Single white blood cell cropped from the smear photograph · peripheral blood film — 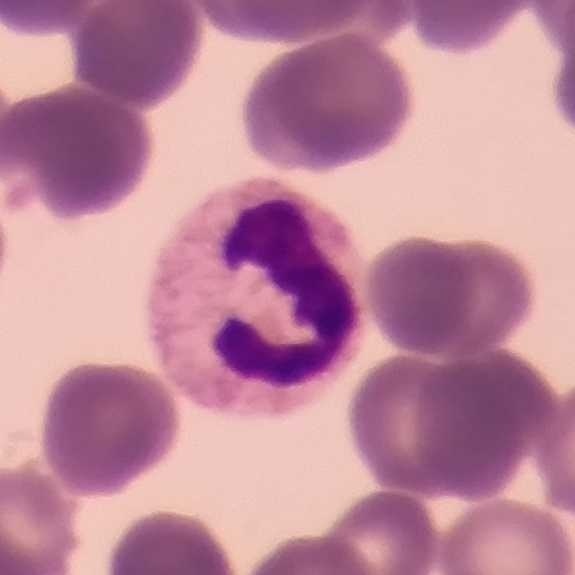

Single cell identified as a neutrophil.